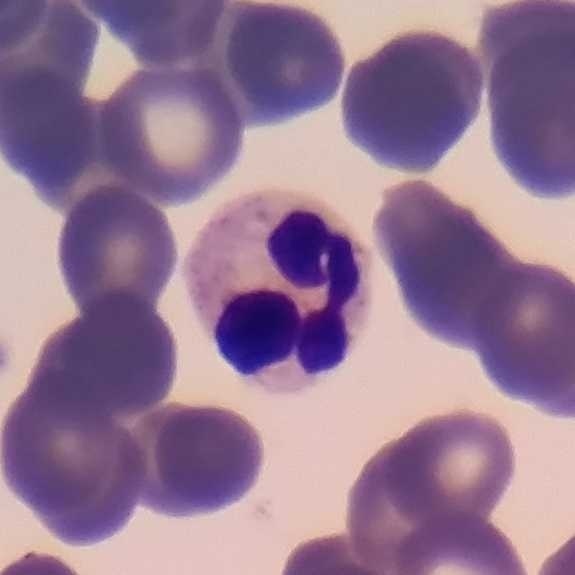
Q: What is shown here?
A: It is a neutrophil.

Acquisition: Peripheral blood film; cropped to one leukocyte.